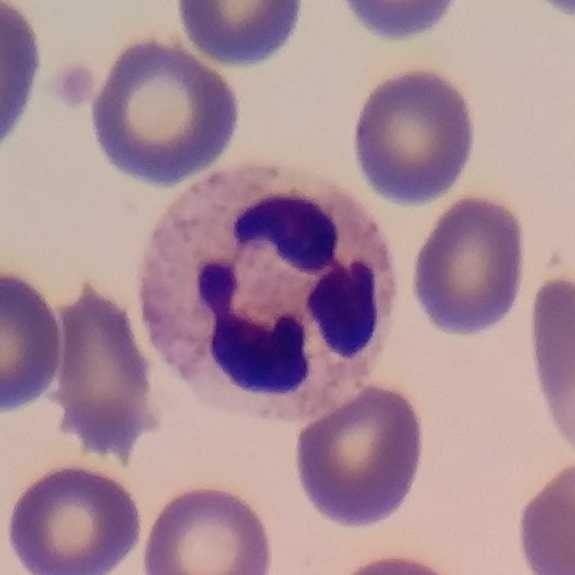

Peripheral blood film.

The cell shown is a neutrophil.